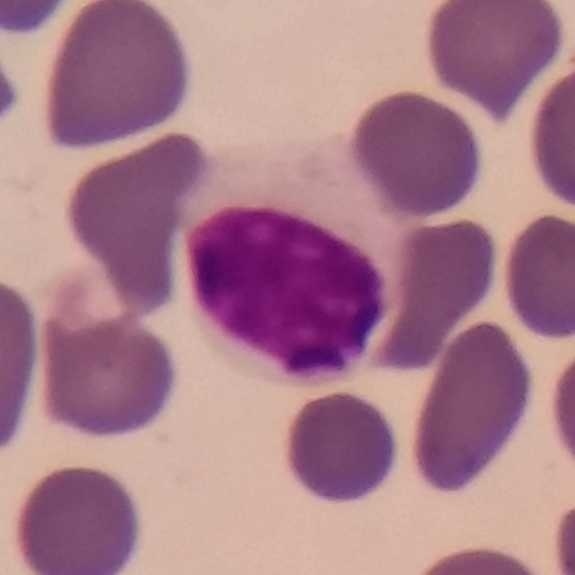
The morphological class is lymphocyte.